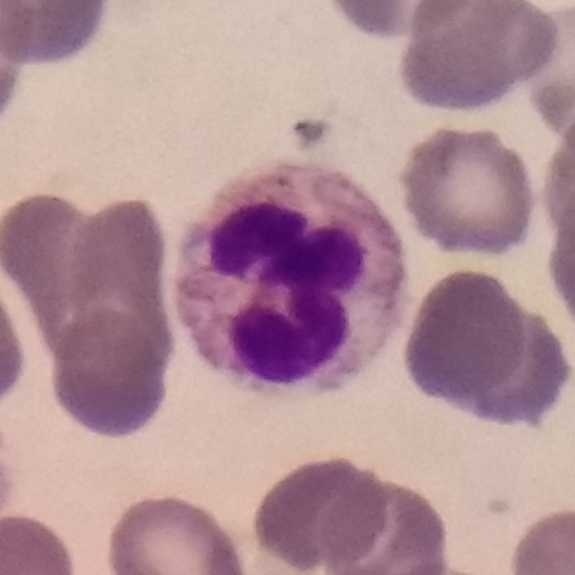 Image: Peripheral blood film.

This is a neutrophil granulocyte.